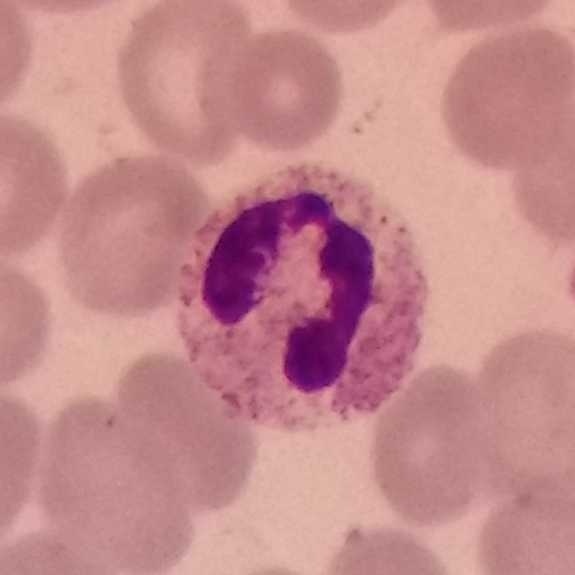

Context: Peripheral blood film.

Showing a neutrophil.